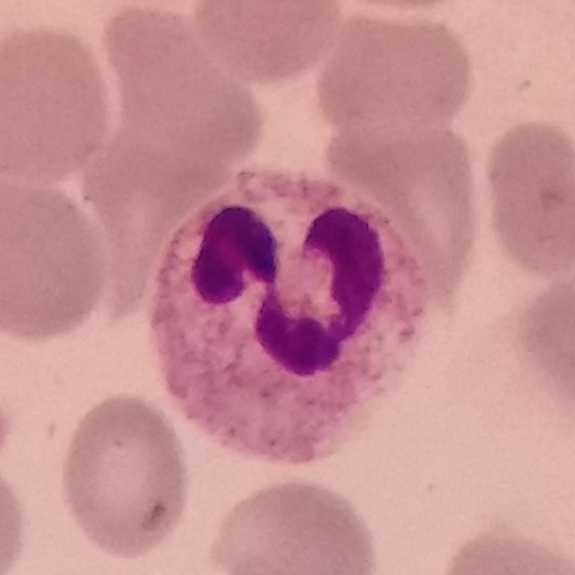
Identified as a neutrophil granulocyte.